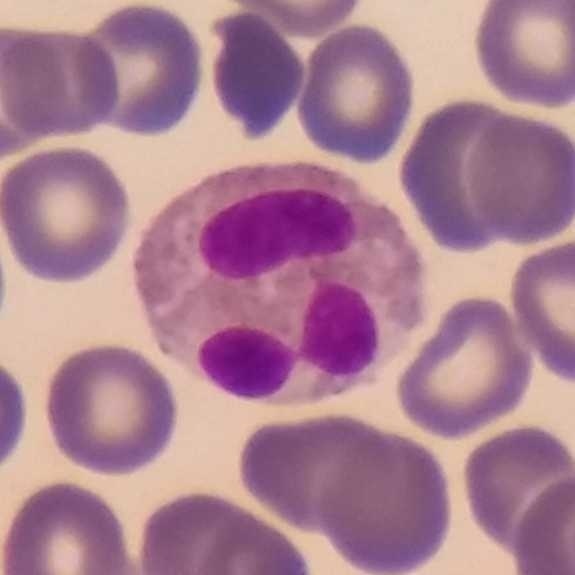Peripheral blood film.

Cell = eosinophilic granulocyte.